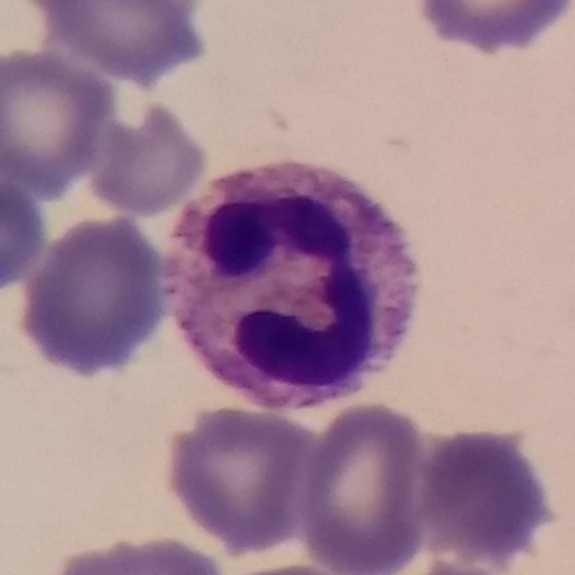

Cell = neutrophilic granulocyte.